Peripheral blood film — 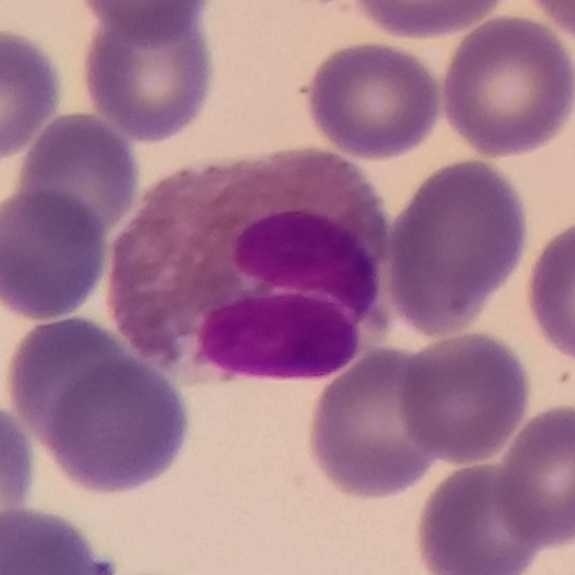

Q: What is this?
A: This is an eosinophil.